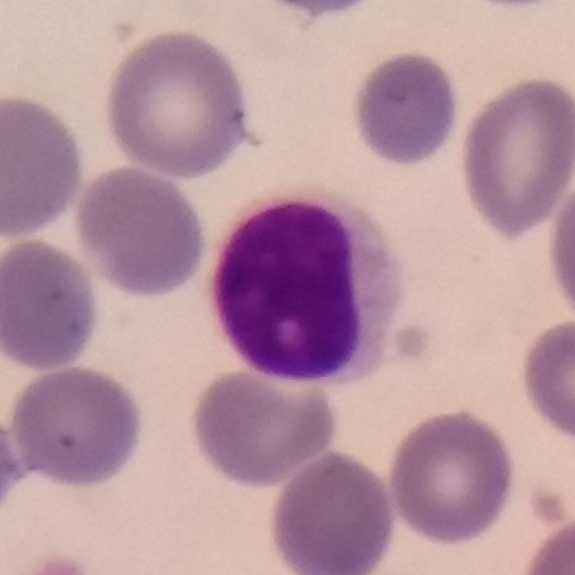
Q: What is shown here?
A: Lymphocyte. 100× magnification. Peripheral blood smear.